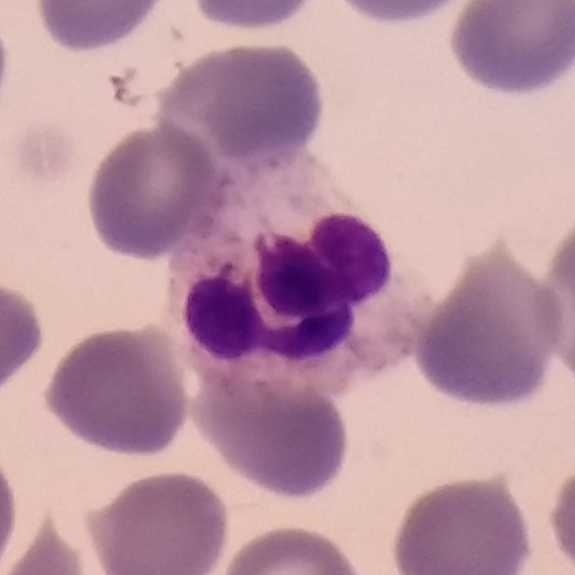Impression — neutrophilic granulocyte.
Peripheral blood film.